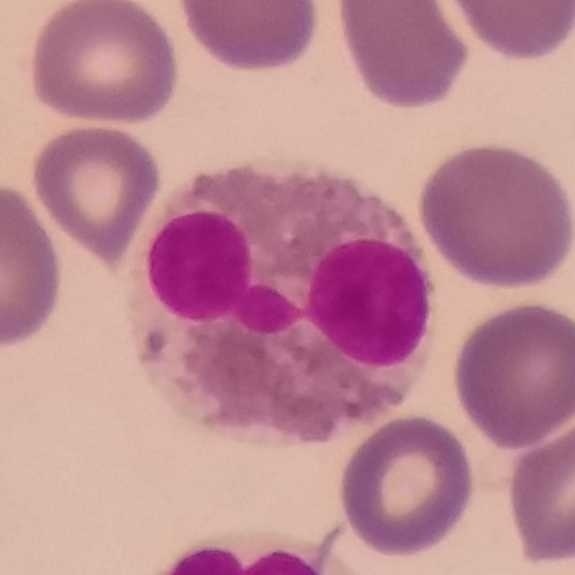

Eosinophil.